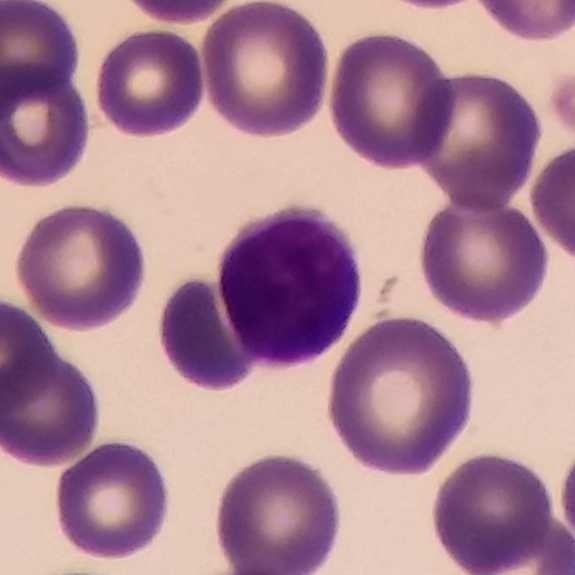

Morphology → lymphocyte.